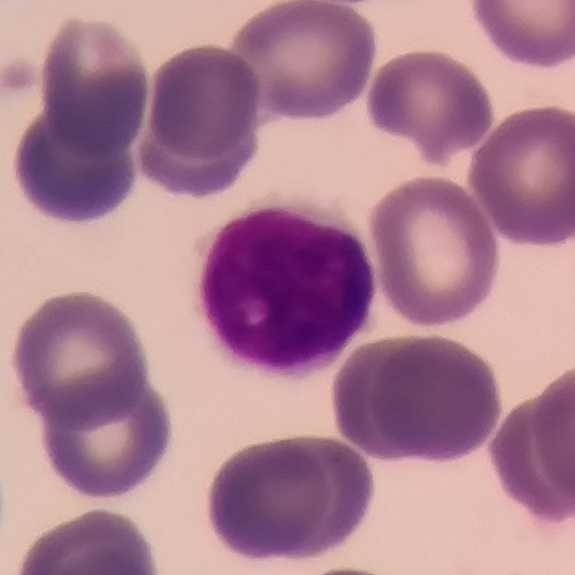 Specimen: peripheral blood smear.
Classification: lymphocyte.
Lineage: lymphoid.